Peripheral blood smear.
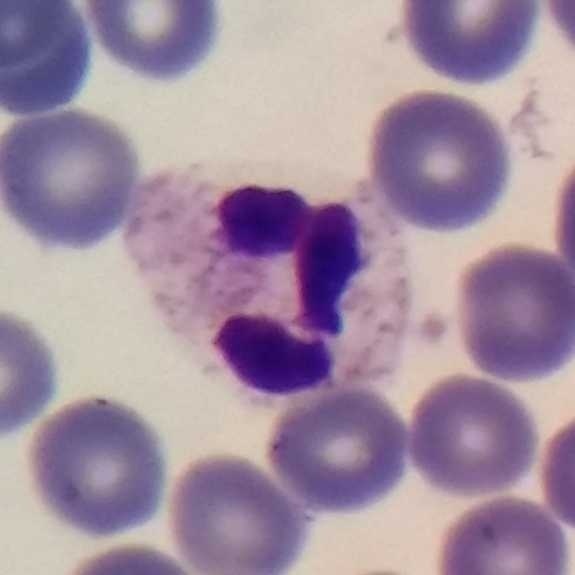

Classification: neutrophilic granulocyte.